Peripheral blood film.
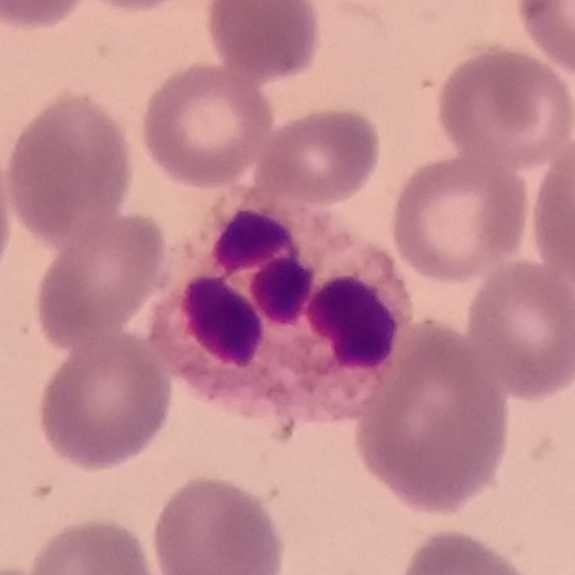
Classification: neutrophil.